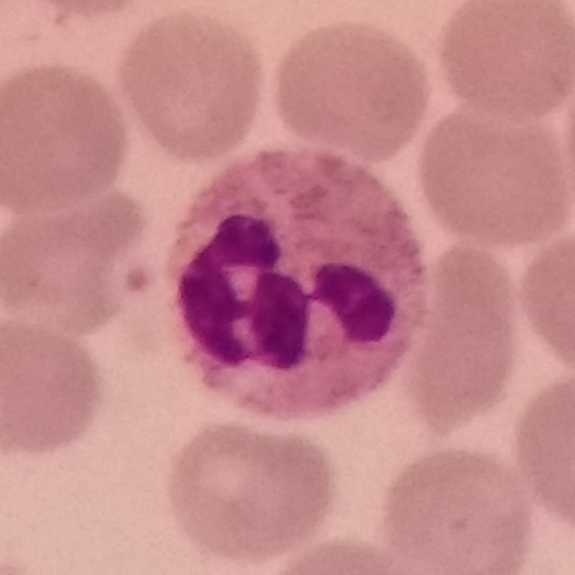
Single cell identified as a neutrophil granulocyte.

Context: Peripheral blood smear. Giemsa-stained.